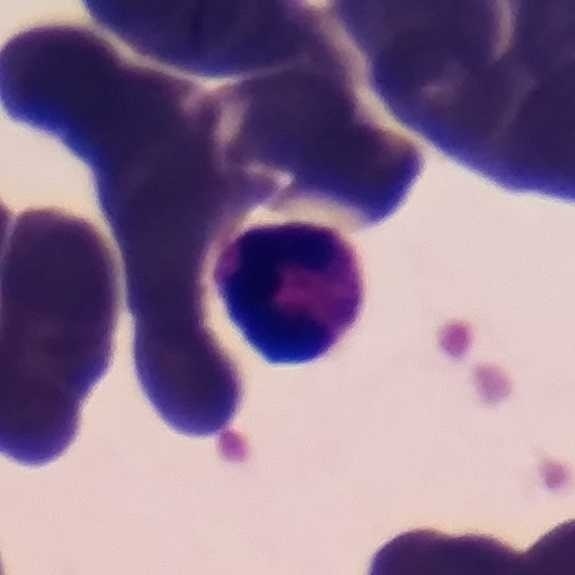
Phone-camera image taken through the microscope ocular; peripheral blood smear.

Impression → neutrophilic granulocyte.